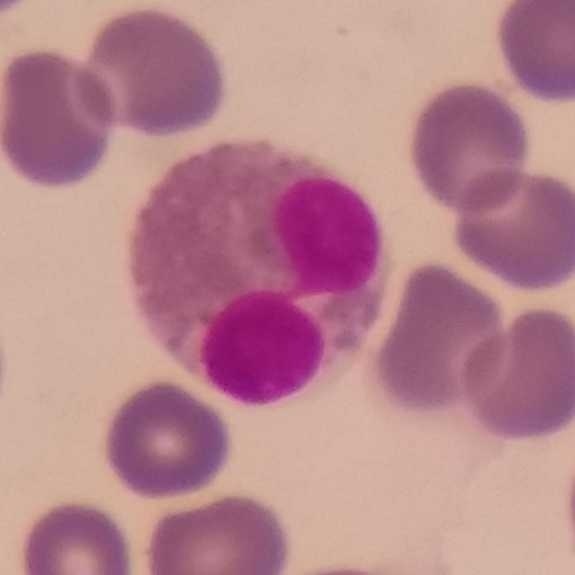 {"cell_type": "eosinophilic granulocyte", "lineage": "myeloid"}